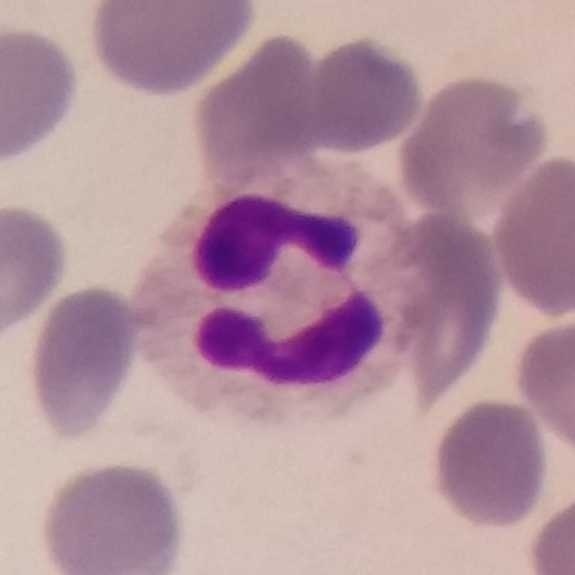Context: Peripheral blood film · 575 by 575 pixels. The cell is neutrophil.